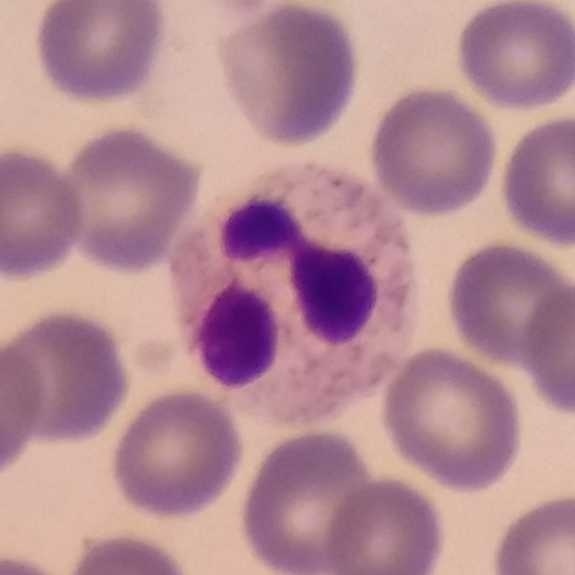Peripheral blood film.

Classification = neutrophil granulocyte.